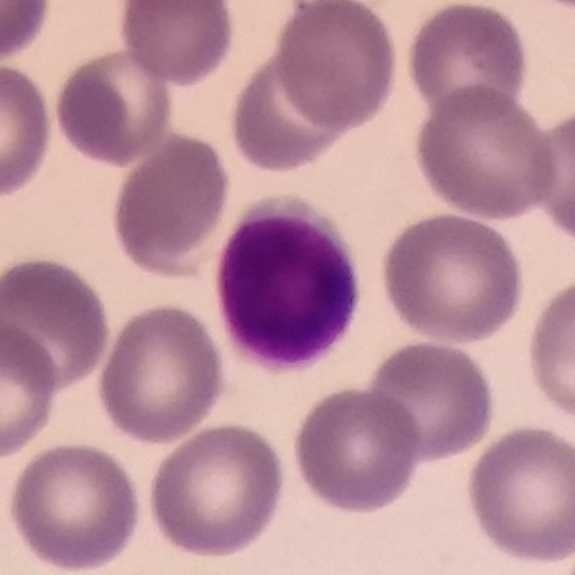

Peripheral blood film.

The white blood cell type is lymphocyte.